Giemsa-stained. Phone-camera image taken through the microscope ocular. Peripheral blood film:
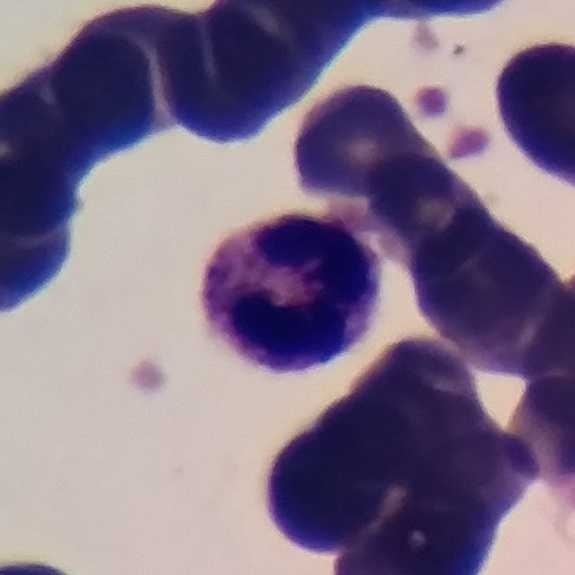

The morphological class is neutrophil.